Phone-camera image taken through the microscope ocular · peripheral blood film
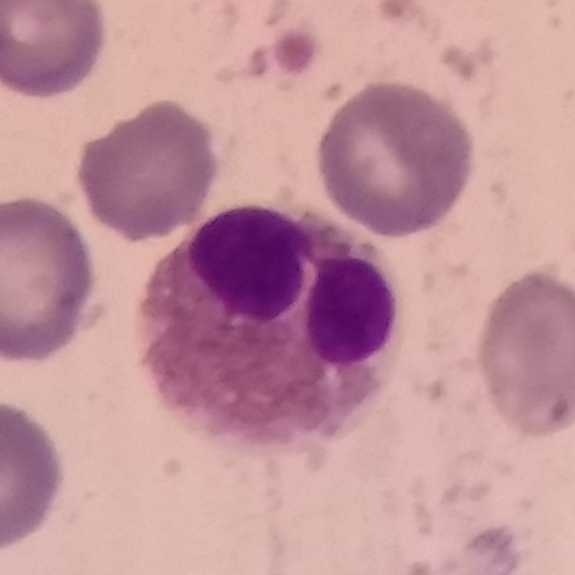

Cell type: eosinophilic granulocyte.